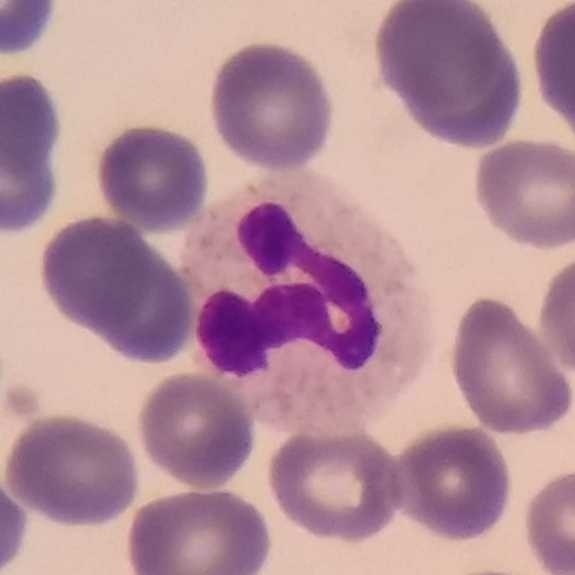Context: Peripheral blood film.

The cell shown is a neutrophilic granulocyte.